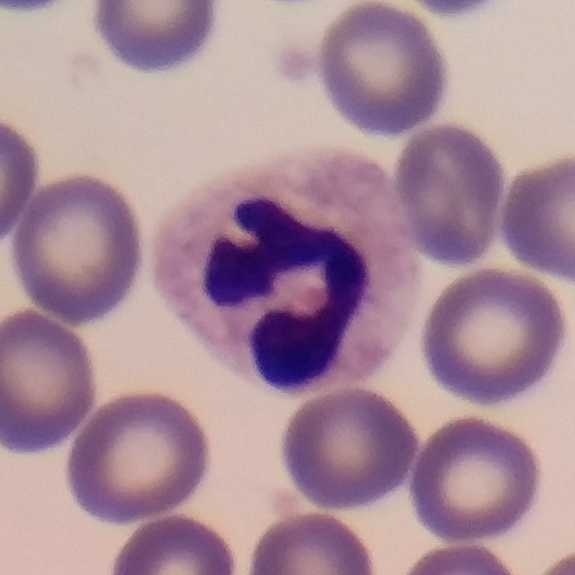 The white blood cell type is neutrophil granulocyte.